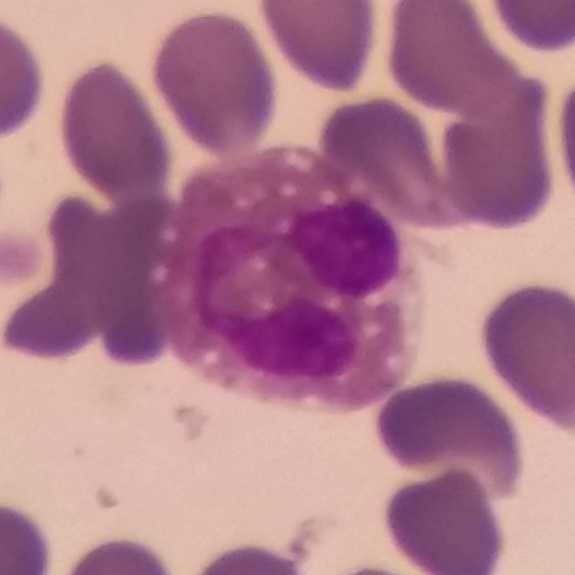
The white blood cell in this image is an eosinophil.